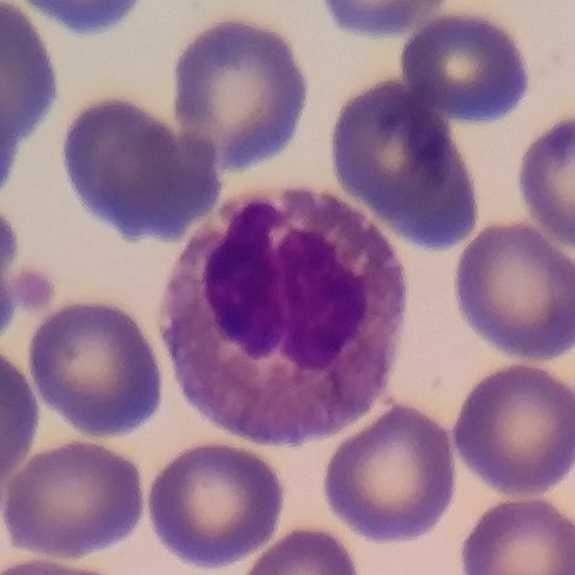

Context: Peripheral blood film.

This is an eosinophil.